Peripheral blood smear: 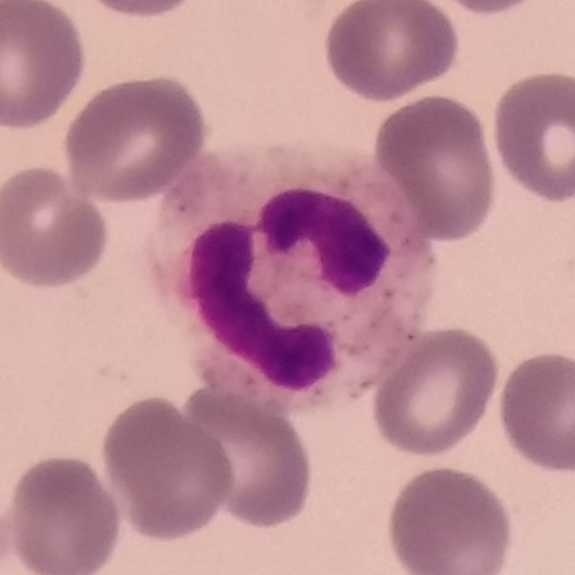
Identified as a neutrophilic granulocyte.